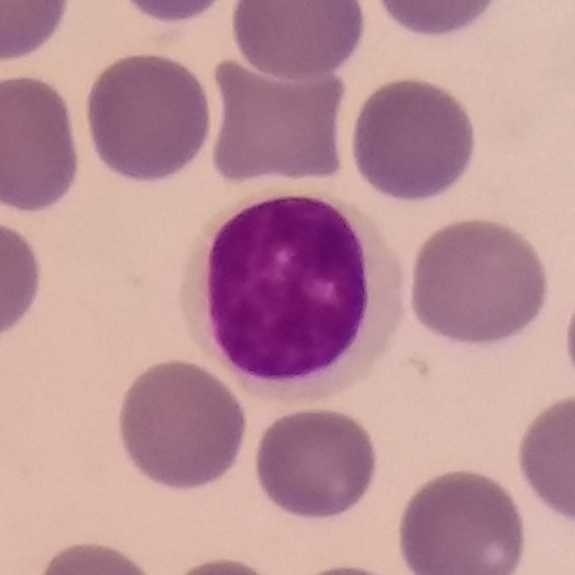
A lymphocyte on a peripheral blood smear.